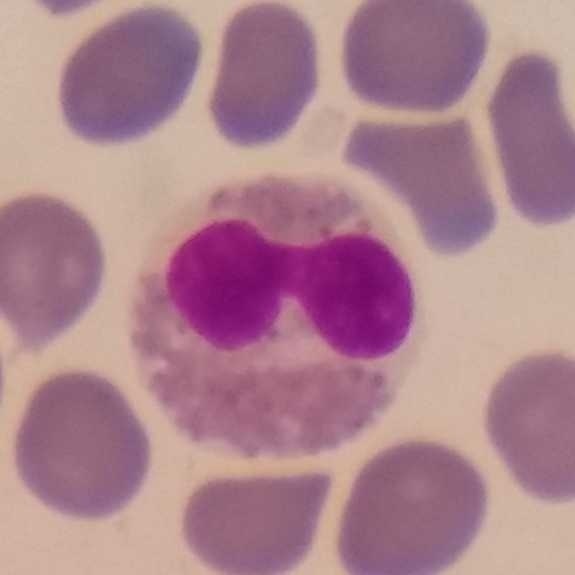Cell type = eosinophilic granulocyte. Acquisition: Peripheral blood smear.